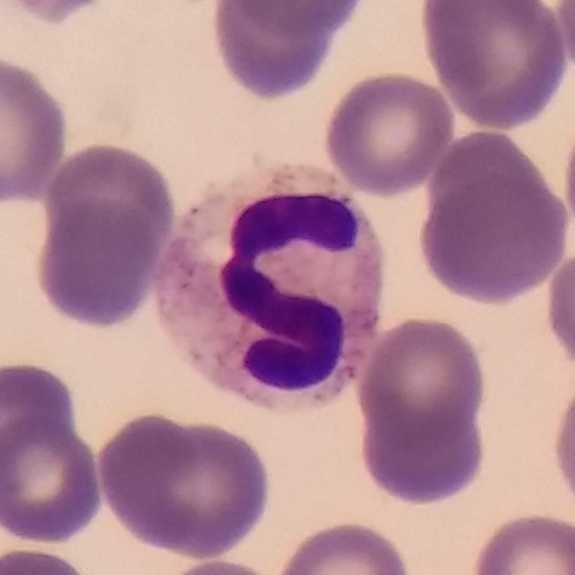Q: What is shown here?
A: Neutrophil granulocyte.

Single white blood cell cropped from the smear photograph; peripheral blood film.